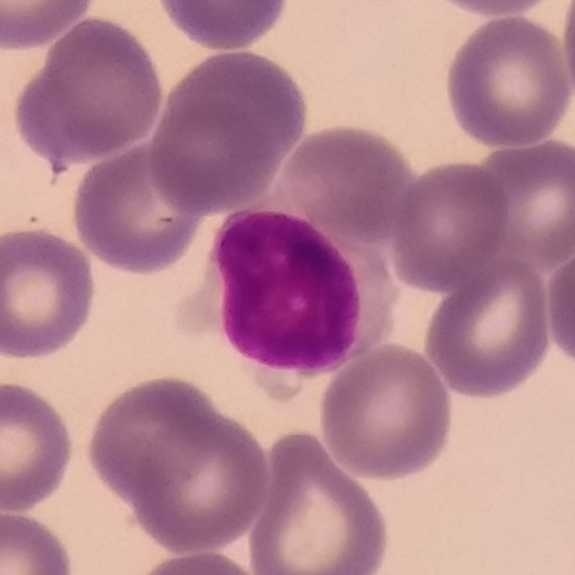 Image: Peripheral blood smear; Giemsa-stained.

Impression → lymphocyte.